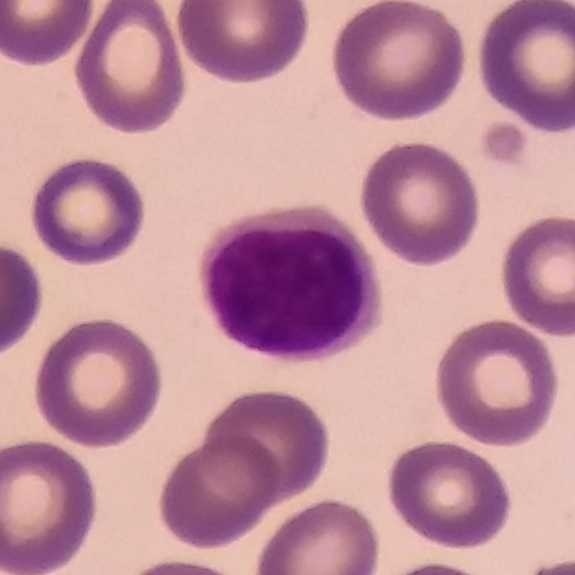
The cell shown is a lymphocyte.

100× magnification. Peripheral blood smear.